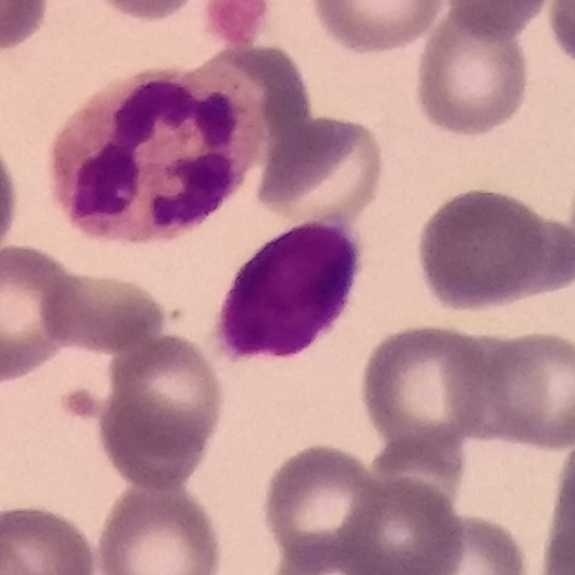Identified as a lymphocyte.
Magnification 100×. Peripheral blood film.